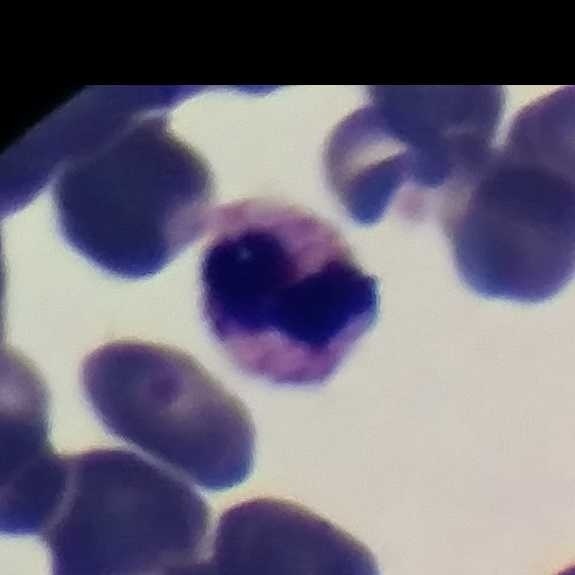Single cell identified as a neutrophilic granulocyte.

Image: Peripheral blood film; smartphone photomicrograph; magnification 100×.